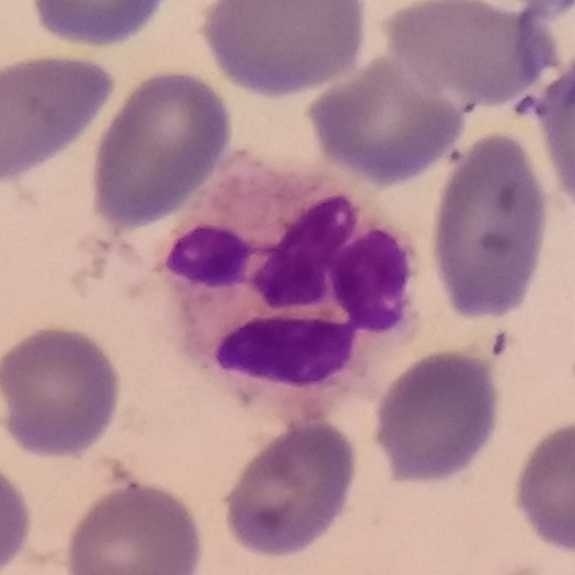 Cell: neutrophil granulocyte.